Peripheral blood smear: 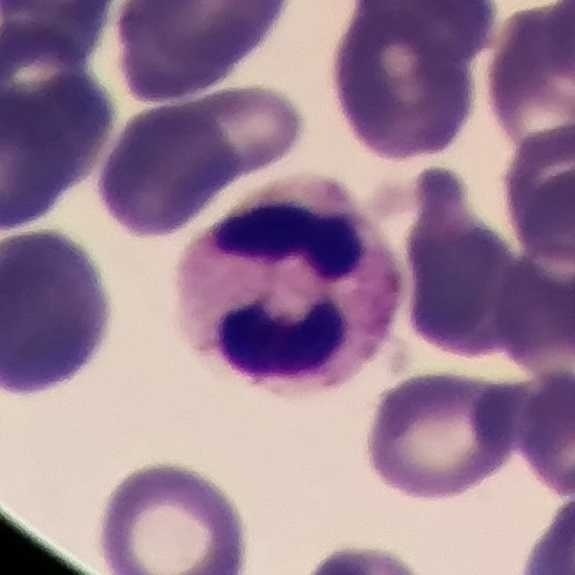Morphology — neutrophilic granulocyte.